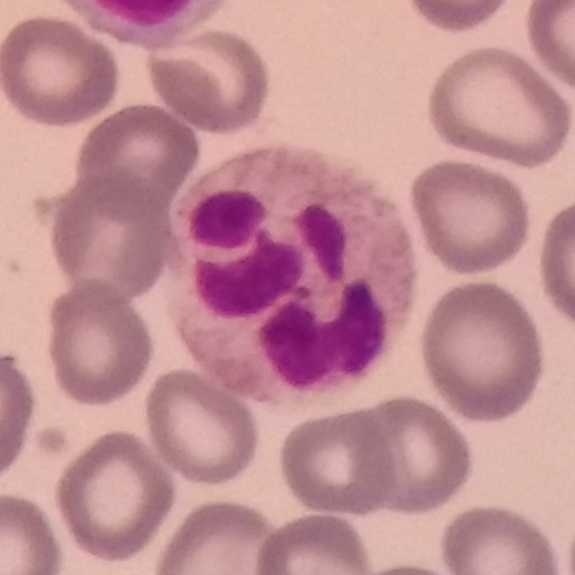 Preparation: Peripheral blood film · stained with Giemsa · single white blood cell cropped from the smear photograph.

Cell — neutrophil granulocyte.